Peripheral blood film — 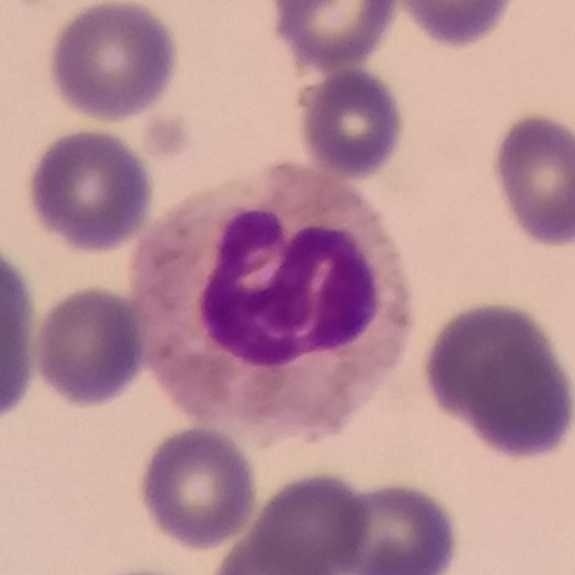

Classification: neutrophilic granulocyte.